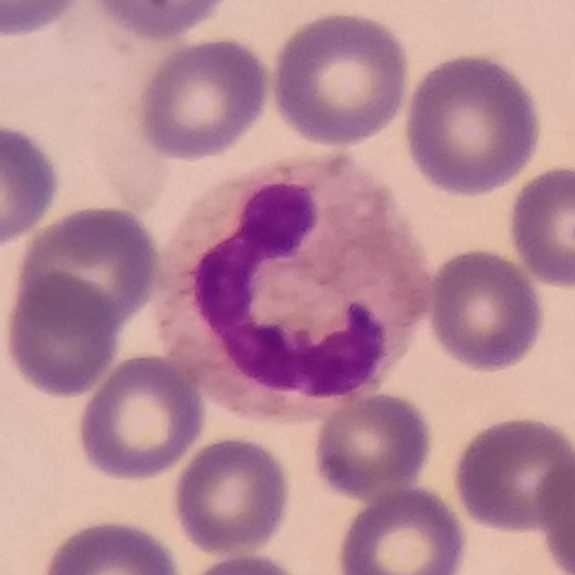 Morphology consistent with a neutrophil.
Image: Smartphone photomicrograph; peripheral blood smear; Giemsa stain.